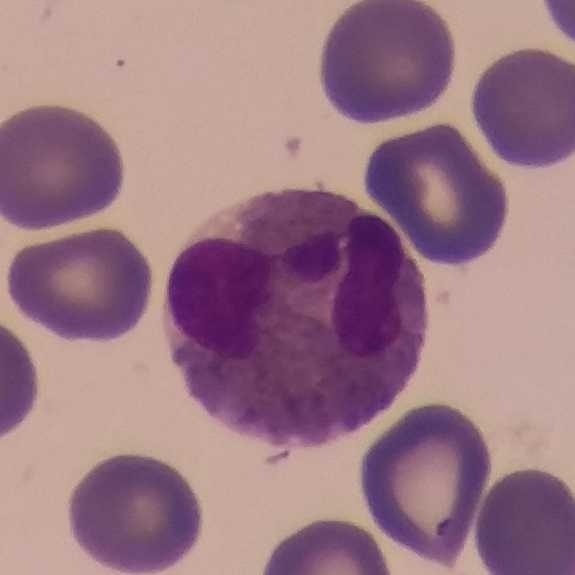 Context: Peripheral blood film.

Cell type = eosinophilic granulocyte.